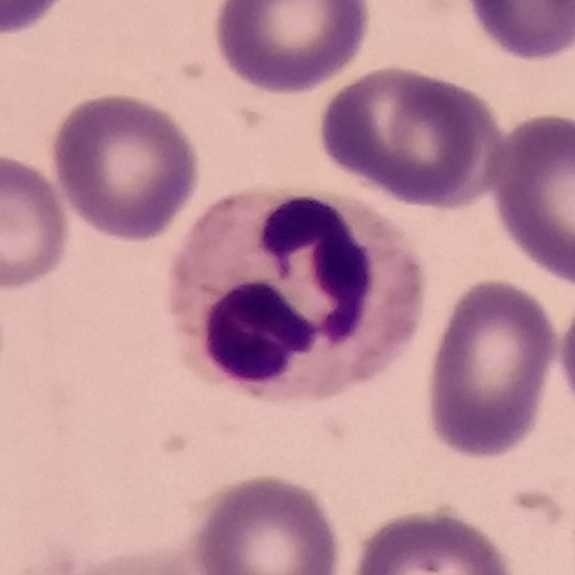A neutrophil. Image: Single-cell crop. Peripheral blood film. Stained with Giemsa.